Peripheral blood smear · magnification 100×:
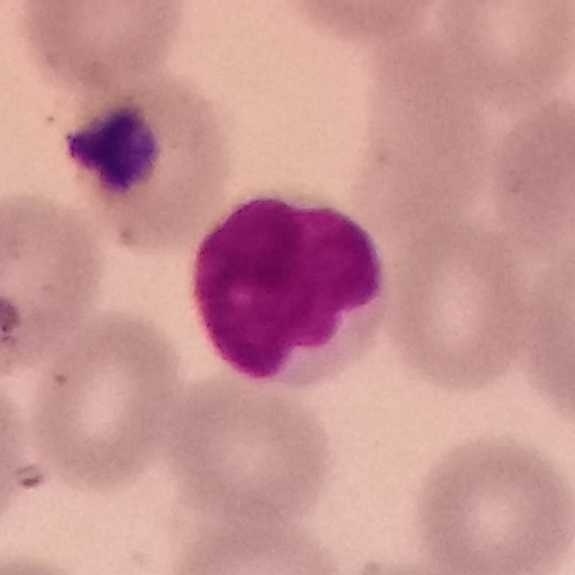

The cell shown is a lymphocyte.